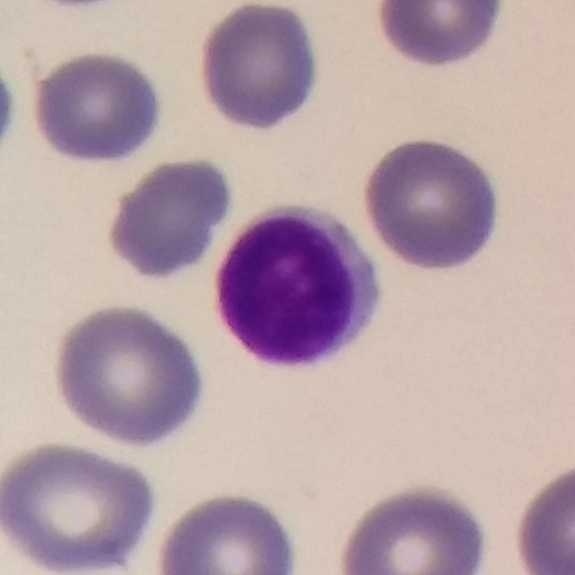 Context: Peripheral blood smear. Cell type — lymphocyte.